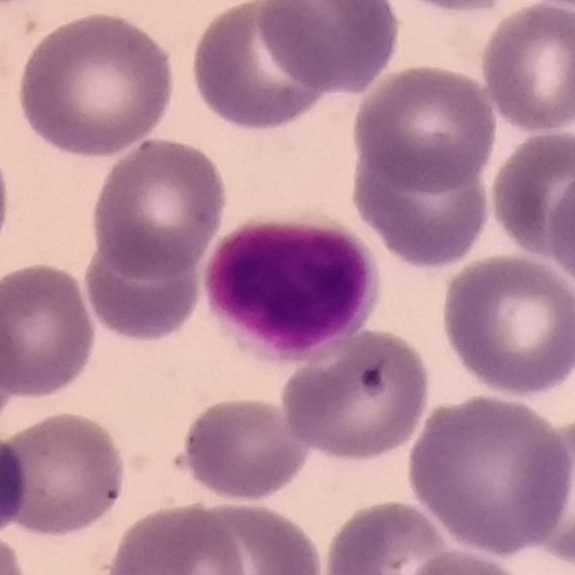
The cell shown is a lymphocyte.